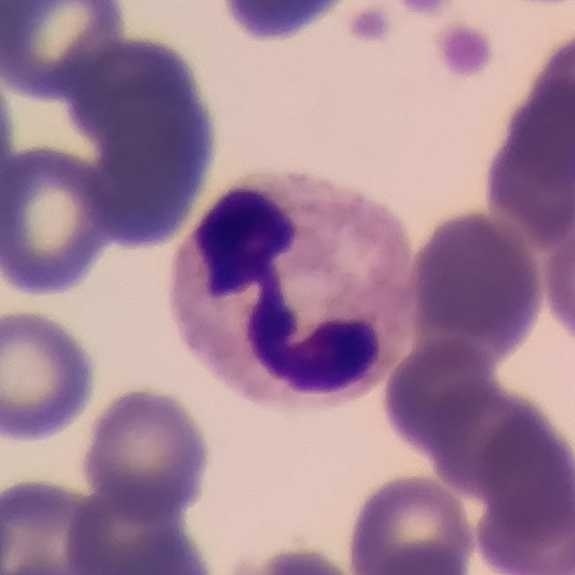
Cell type: neutrophil.